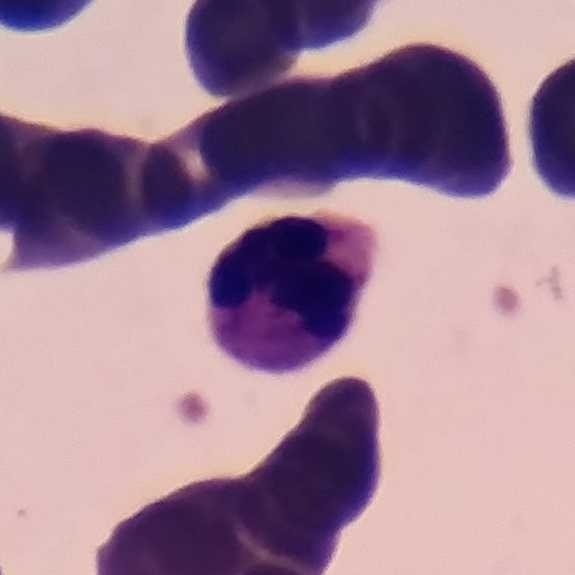
Preparation: Peripheral blood film.
{"cell_type": "neutrophil granulocyte"}